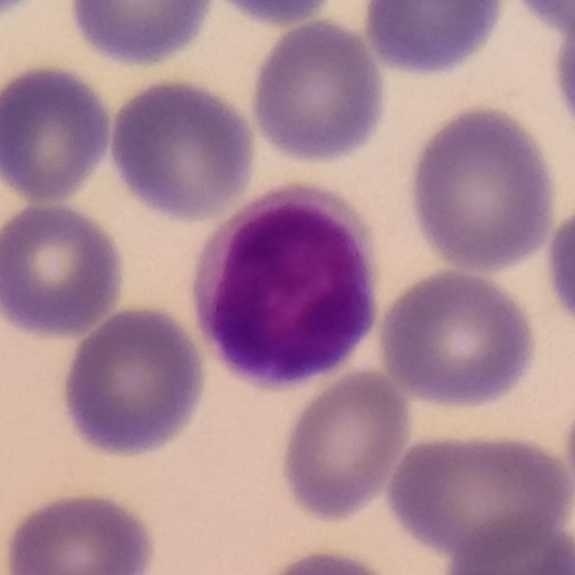
Cell type: lymphocyte.

Imaged at 100×; 575×575; peripheral blood smear.